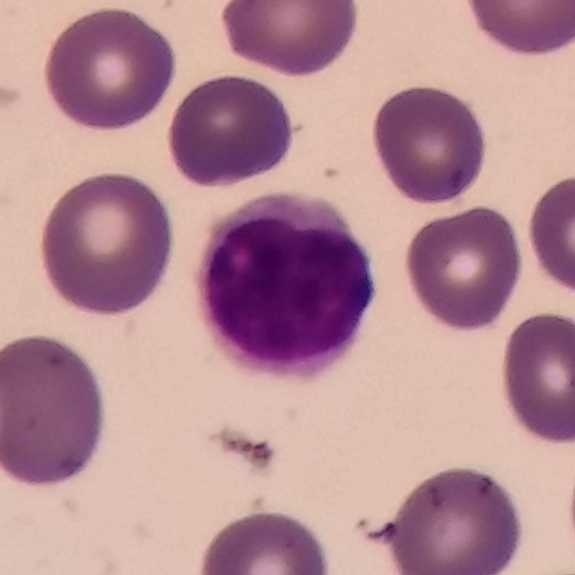
Lymphocyte.
Peripheral blood film.